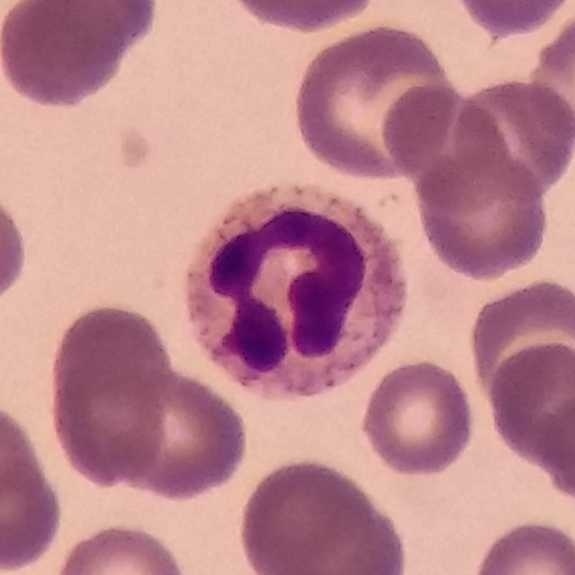Q: Classify this leukocyte.
A: A neutrophil. Peripheral blood film.